Peripheral blood film; smartphone photomicrograph: 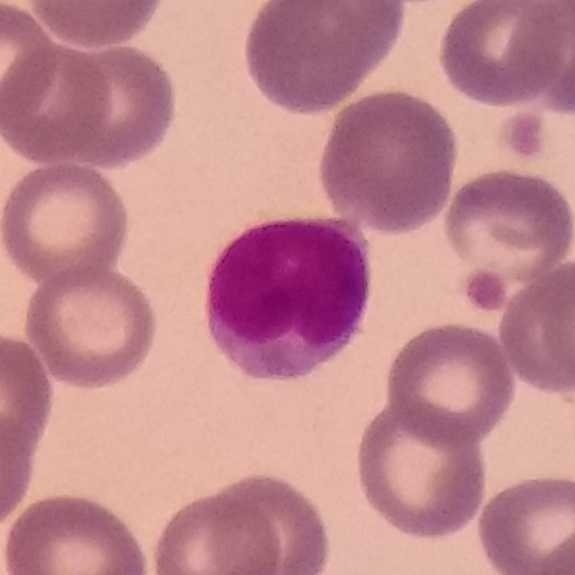

The cell is lymphocyte.